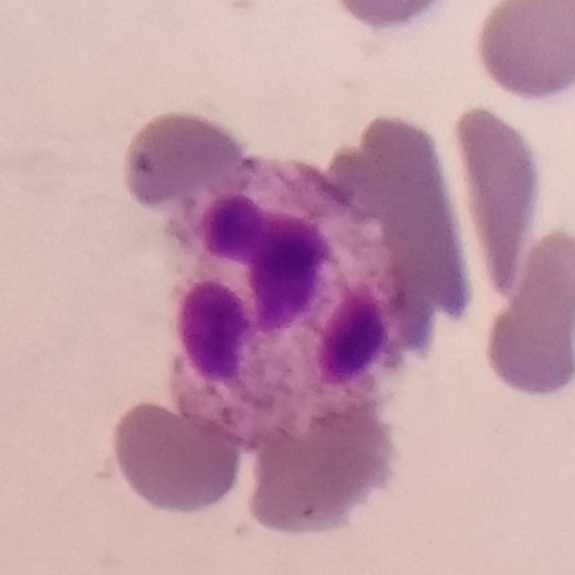 Morphology consistent with a neutrophil.